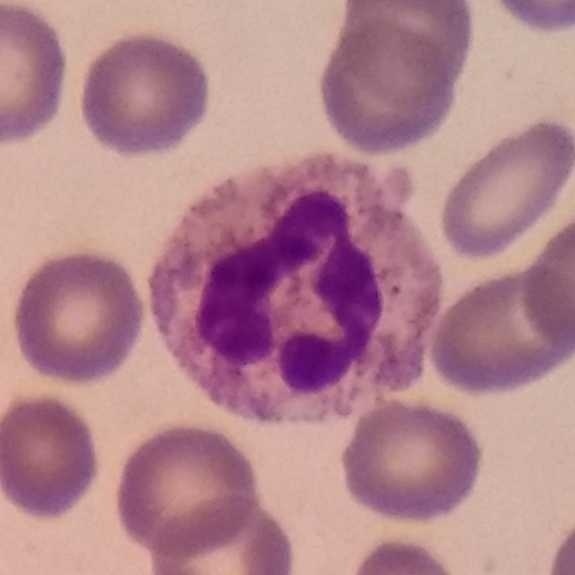 Classification: neutrophil granulocyte.
Image: Peripheral blood film.